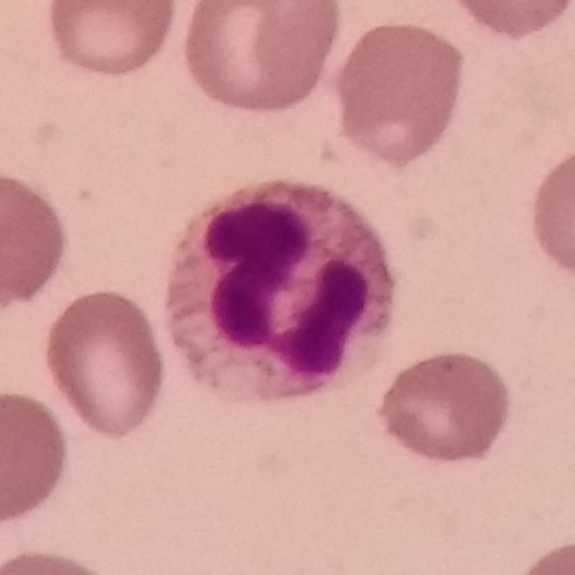
Q: What is shown here?
A: It is a neutrophil.